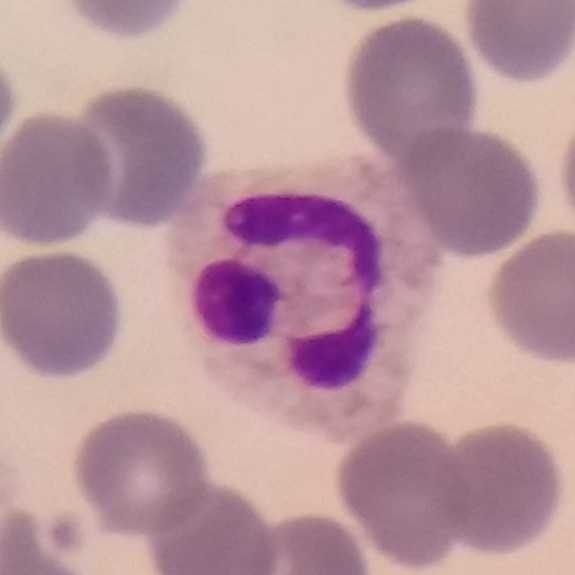

Acquisition: Peripheral blood smear. Identified as a neutrophilic granulocyte.